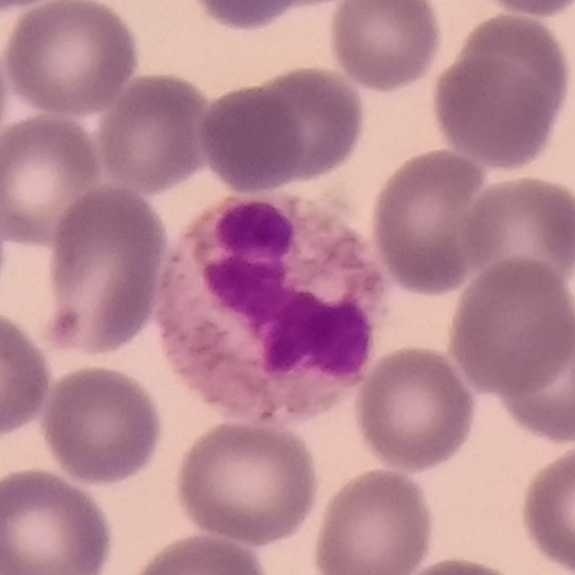
Q: Classify this leukocyte.
A: It is a neutrophilic granulocyte.